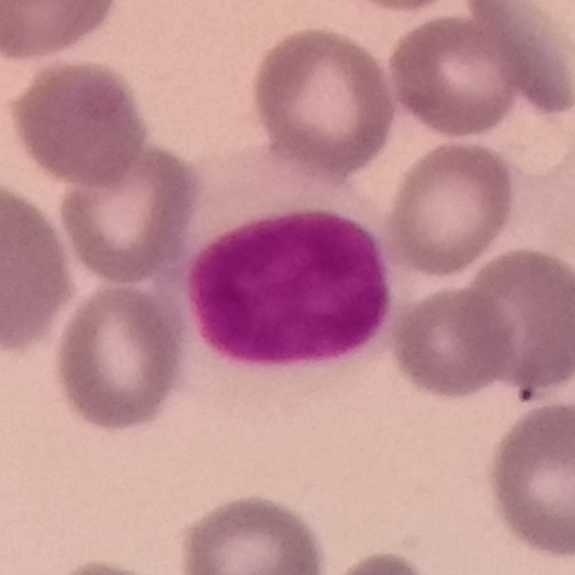Context: 575 by 575 pixels. Peripheral blood film.

Morphological class = lymphocyte.